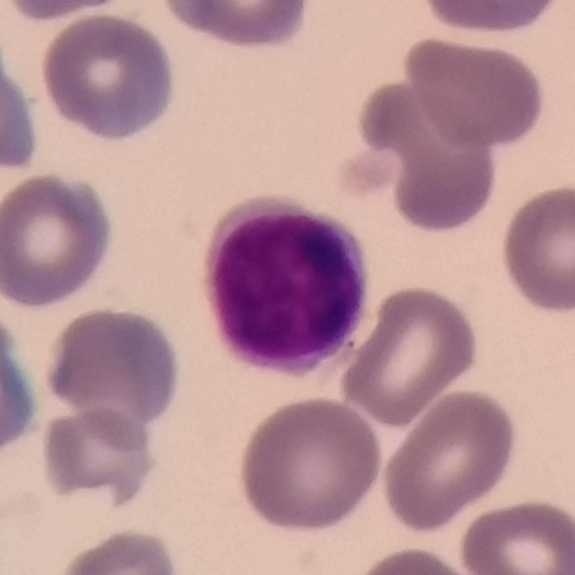 Q: What is the morphological classification of this cell?
A: It is a lymphocyte.

Preparation: Giemsa stain. Magnification 100×. Peripheral blood smear.